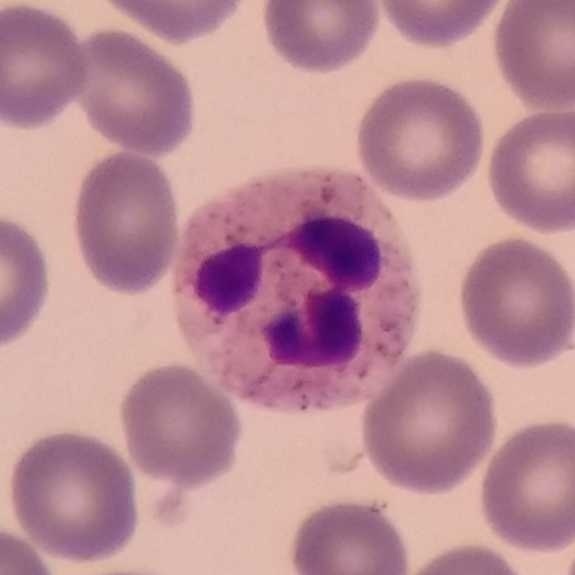
Single-cell crop from a peripheral blood smear: neutrophilic granulocyte.